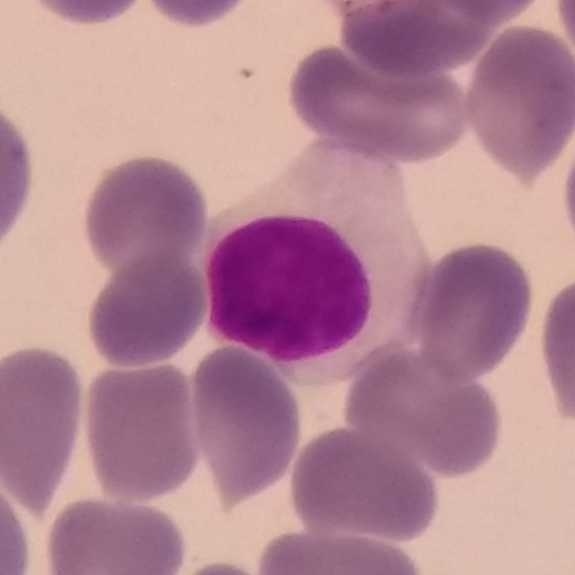 Morphological class = lymphocyte.
Acquisition: 100× magnification; peripheral blood smear.